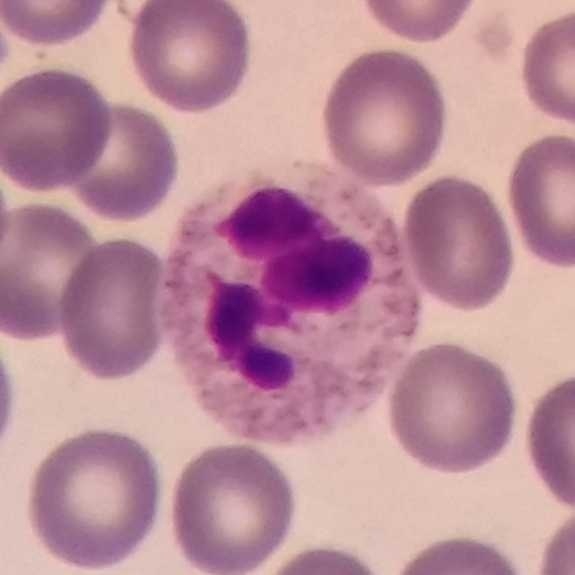Context: Peripheral blood smear. Neutrophil granulocyte.